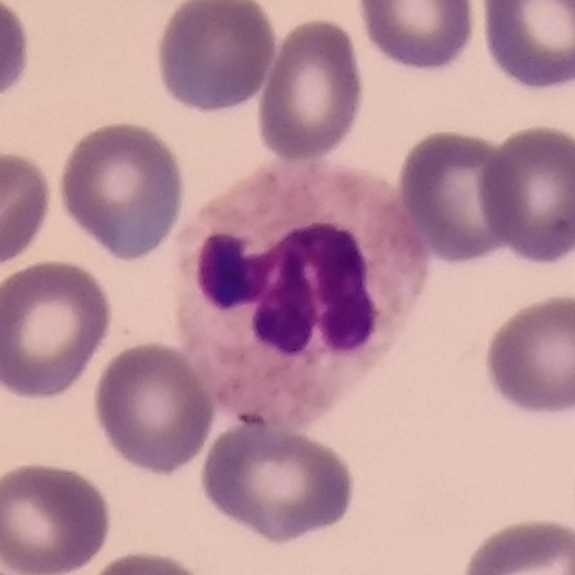

Classification — neutrophilic granulocyte.